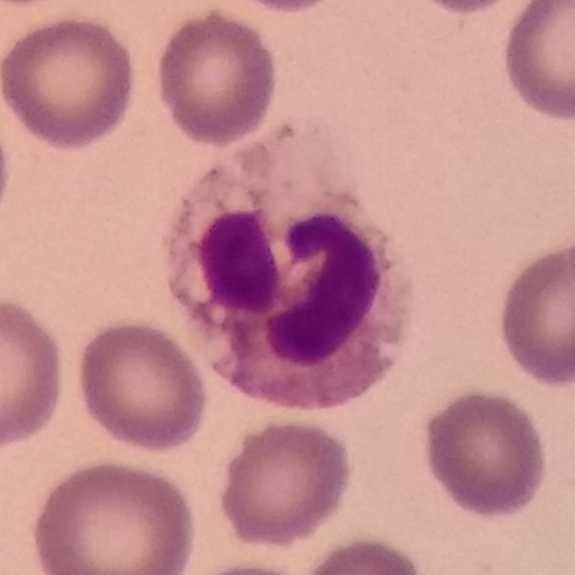Neutrophilic granulocyte. Peripheral blood film.